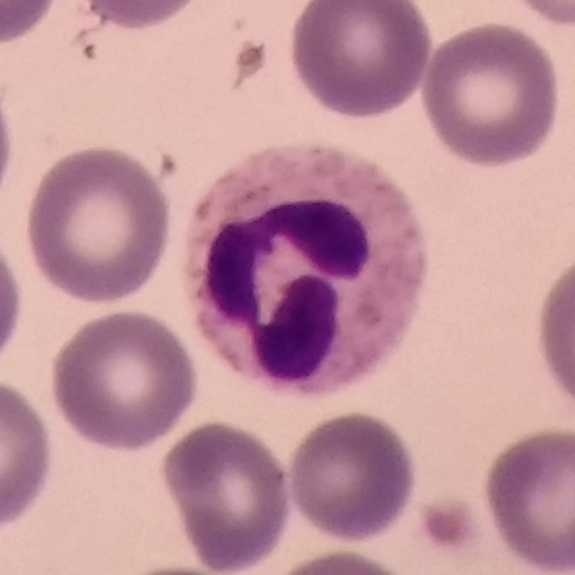
Specimen: peripheral blood smear.
White blood cell type: neutrophil.